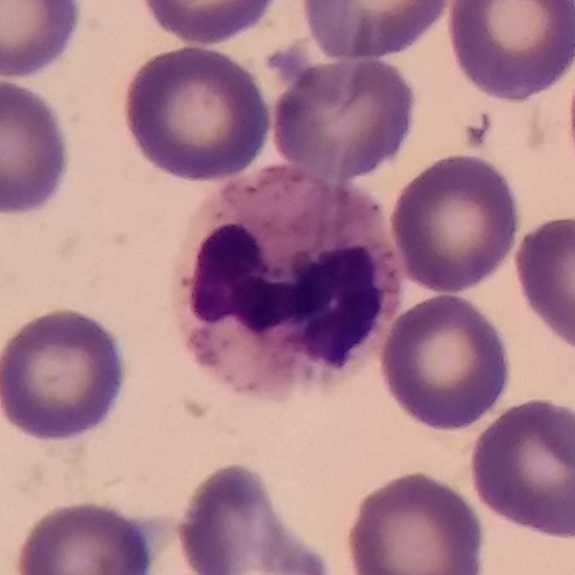Peripheral blood smear.

Neutrophilic granulocyte.